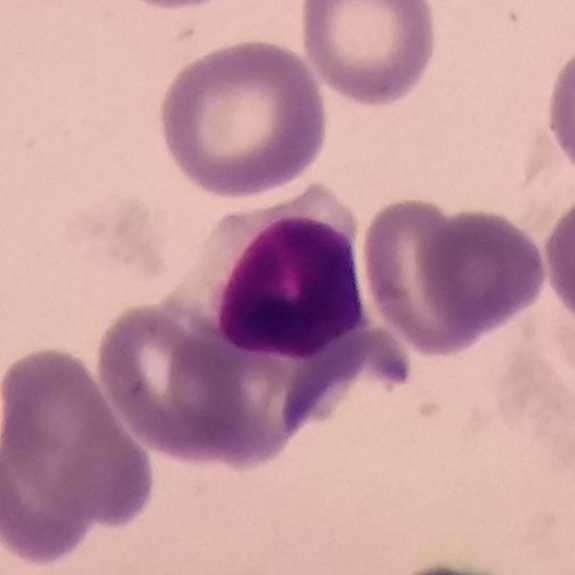Acquisition: Peripheral blood smear. The white blood cell in this image is a lymphocyte.